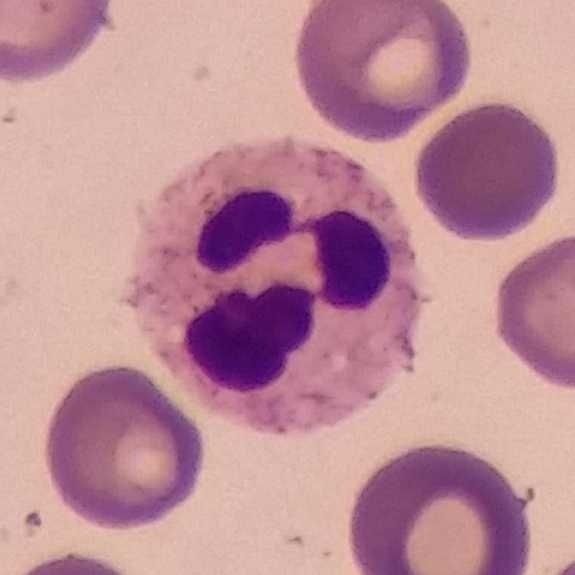

The cell type is neutrophilic granulocyte.